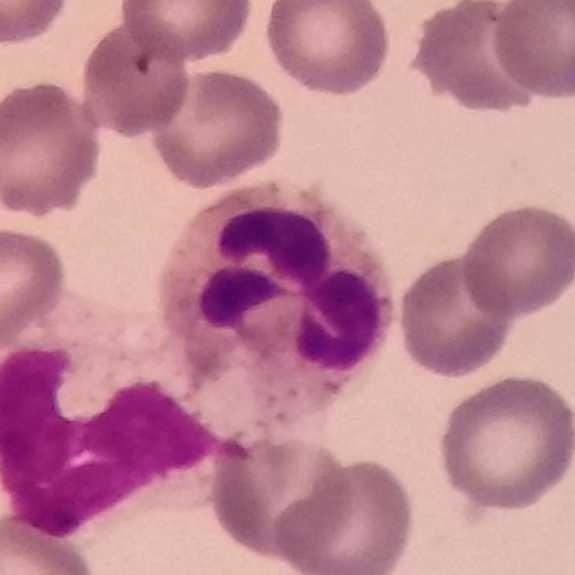
Morphology — neutrophilic granulocyte.

Image: Image size 575×575 · peripheral blood smear.